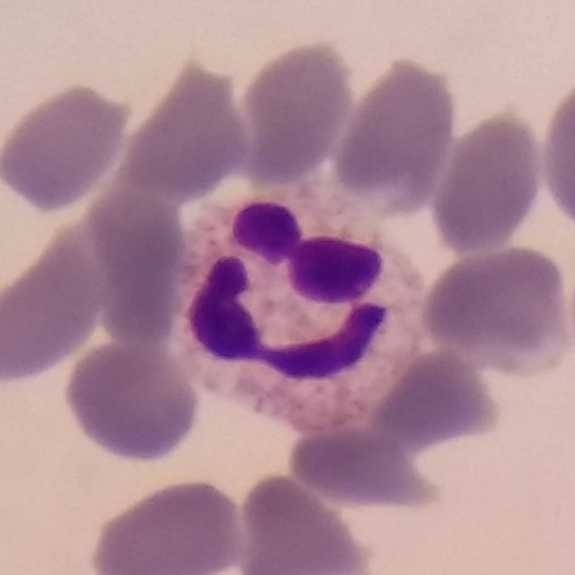
Identified as a neutrophil.